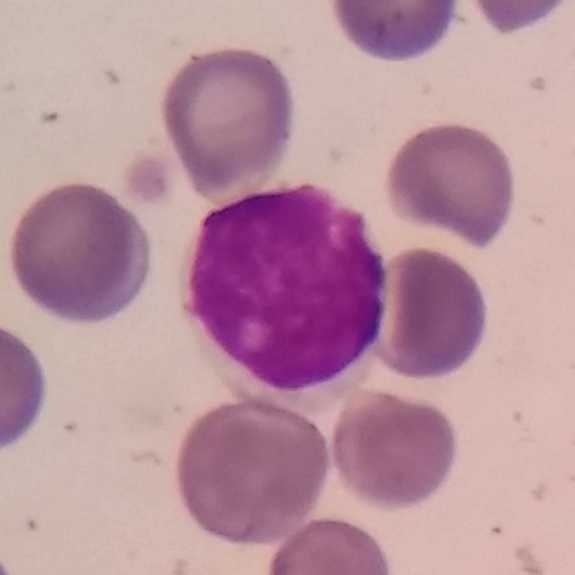 The morphological class is lymphocyte. 575×575 · peripheral blood smear.